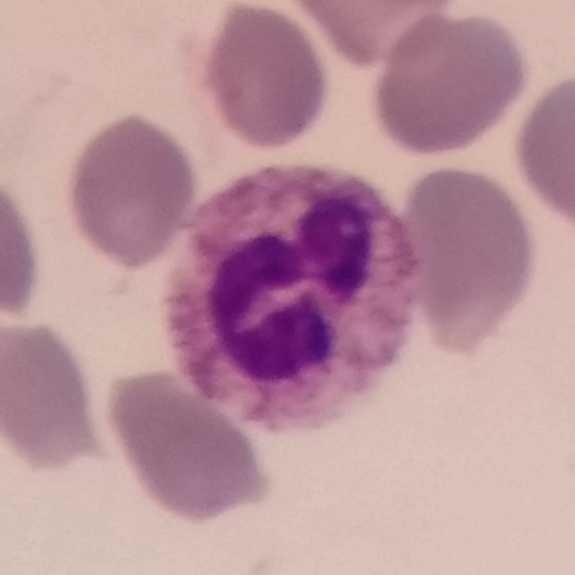 Classification — neutrophil. Context: Magnification 100× · single white blood cell cropped from the smear photograph · peripheral blood film.